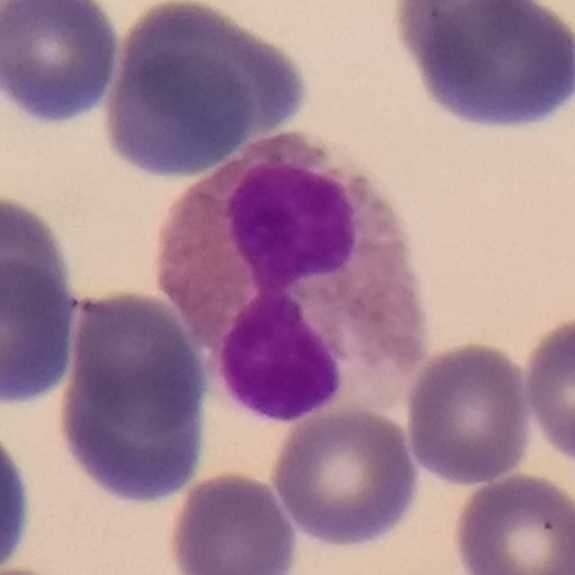
Morphology consistent with an eosinophilic granulocyte. Peripheral blood smear.